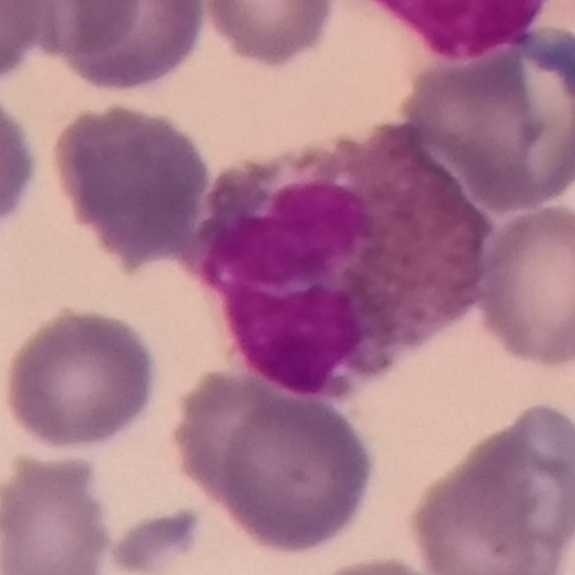Q: What is shown here?
A: This is an eosinophilic granulocyte.